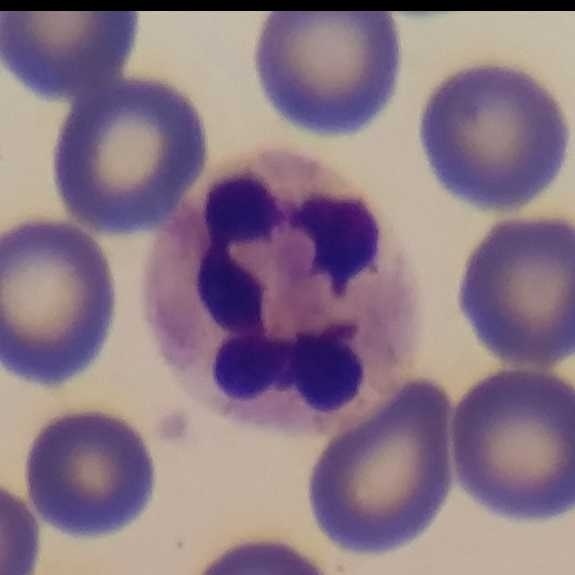 Impression — neutrophil granulocyte. Preparation: Peripheral blood smear.